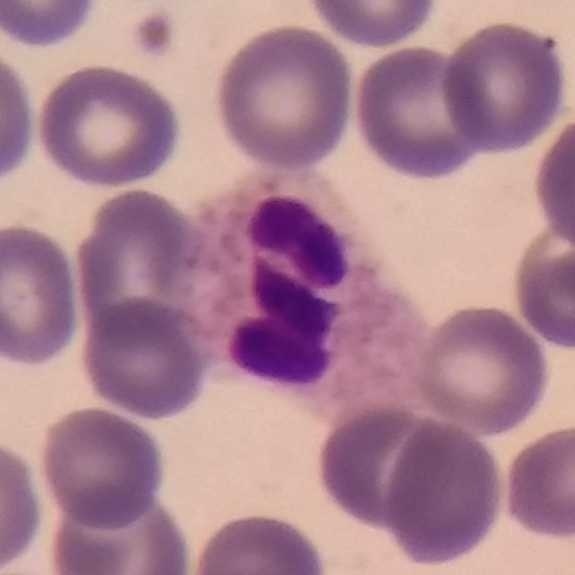

The cell shown is a neutrophilic granulocyte.